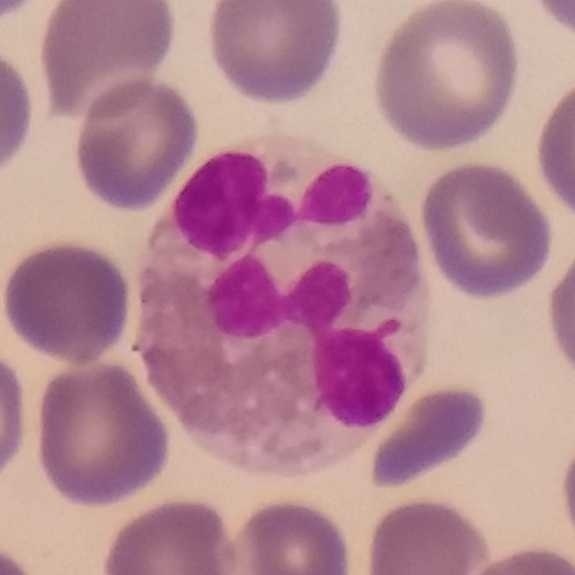
Context: 575×575 px. Photographed through a light microscope with a smartphone camera. Peripheral blood film.
The cell type is eosinophilic granulocyte.